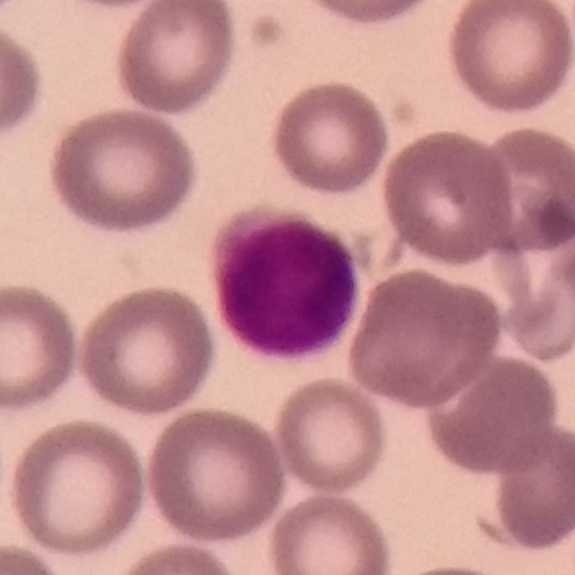 Image: Peripheral blood smear.
Impression — lymphocyte.